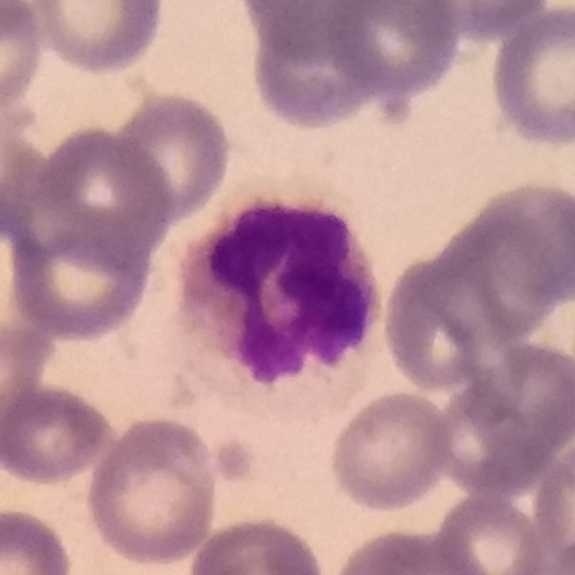
Image: Stained with Giemsa · magnification 100×.
Specimen: peripheral blood film.
White blood cell type: neutrophil granulocyte.